Peripheral blood film. Giemsa-stained — 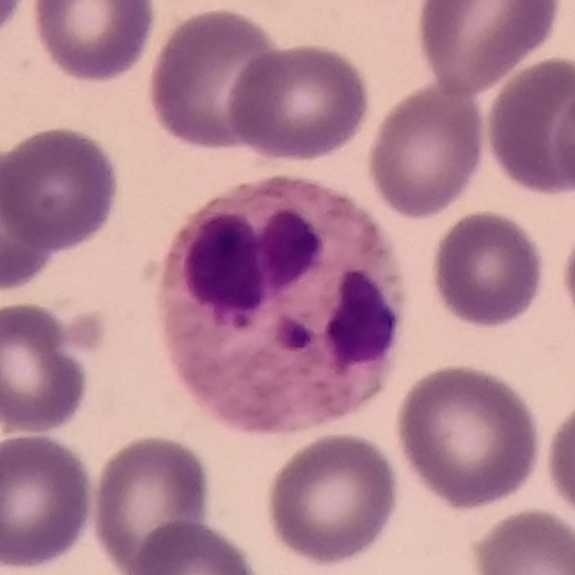 Identified as a neutrophil.